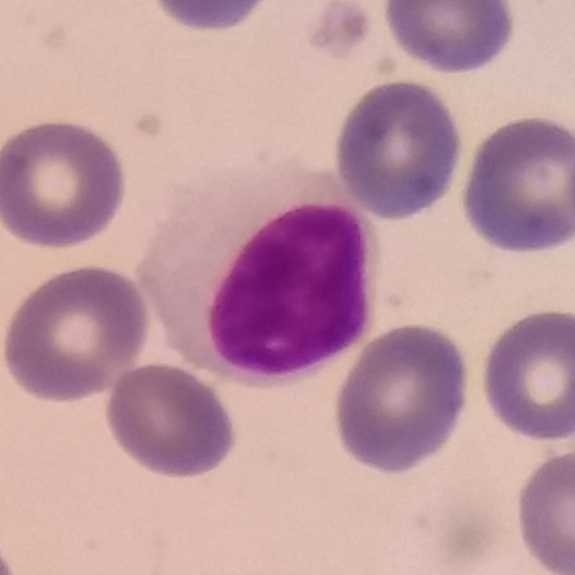

A lymphocyte on a peripheral blood smear.